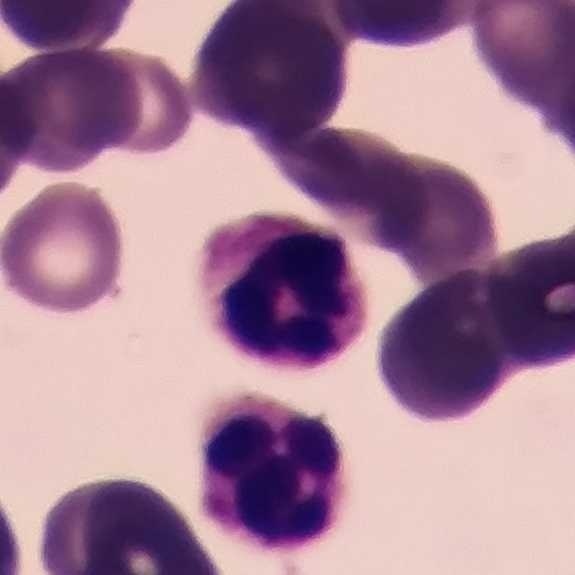

Cell type: neutrophilic granulocyte.